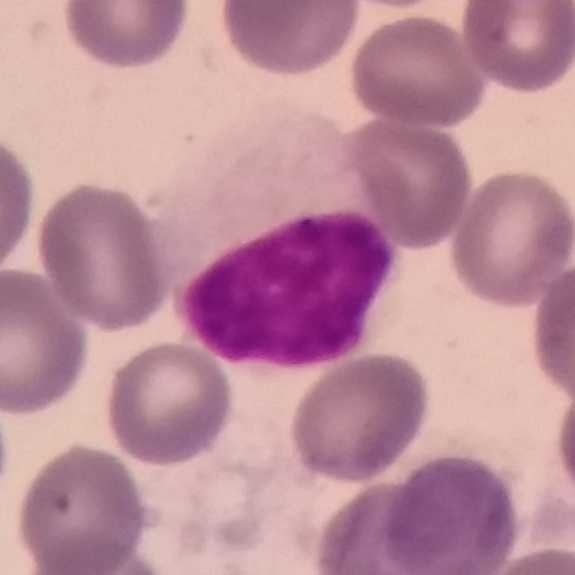Identified as a lymphocyte.
Context: Image size 575×575. Peripheral blood smear.